Peripheral blood film — 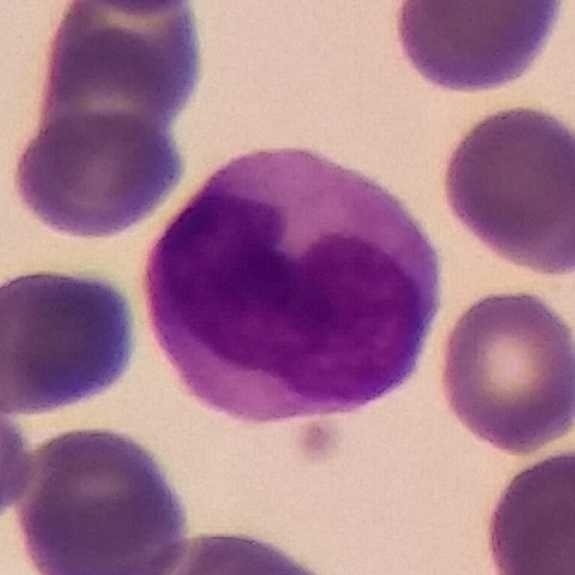 Morphological class = monocyte.